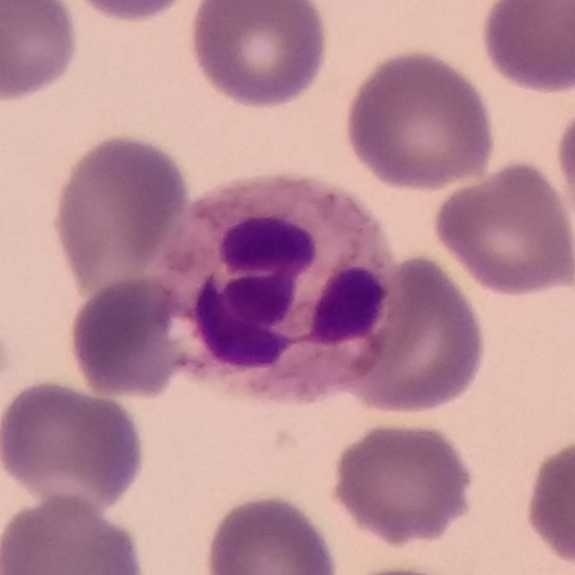Q: What is this?
A: It is a neutrophil.

Acquisition: Peripheral blood smear.